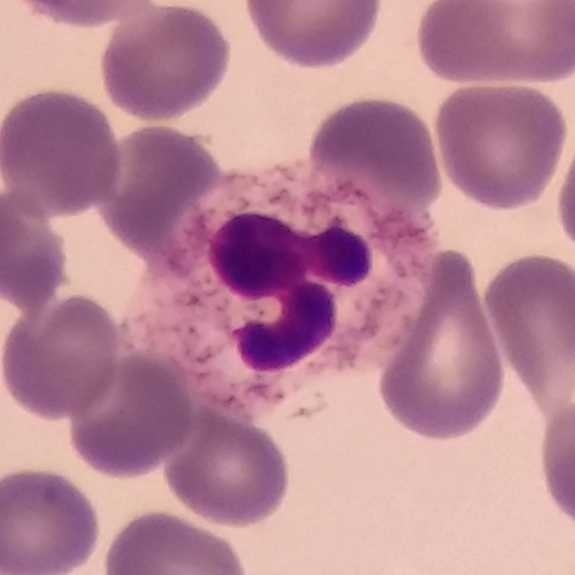 {"cell_type": "neutrophil granulocyte", "lineage": "myeloid"}

Peripheral blood film · single-cell field.